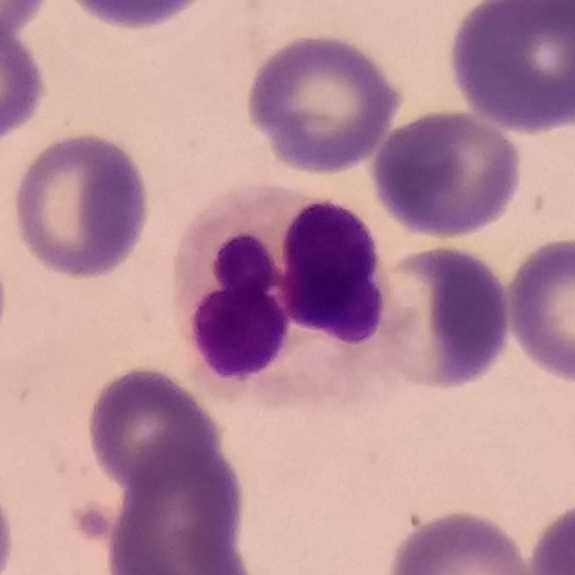 Context: Smartphone photomicrograph. Peripheral blood smear. The cell shown is a neutrophil granulocyte.